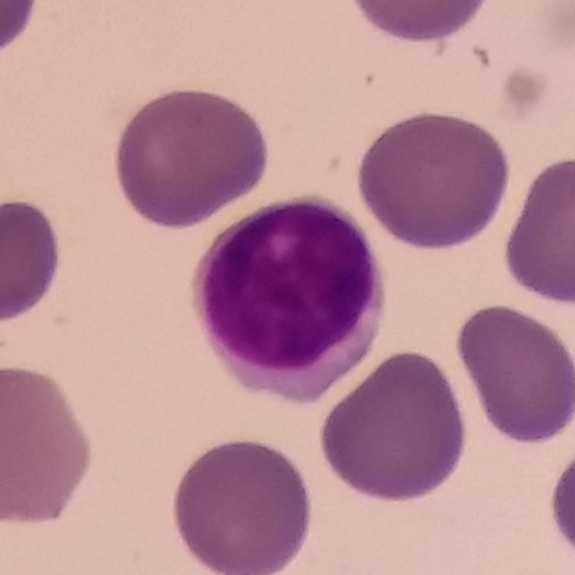Specimen: peripheral blood smear.
White blood cell type: lymphocyte.